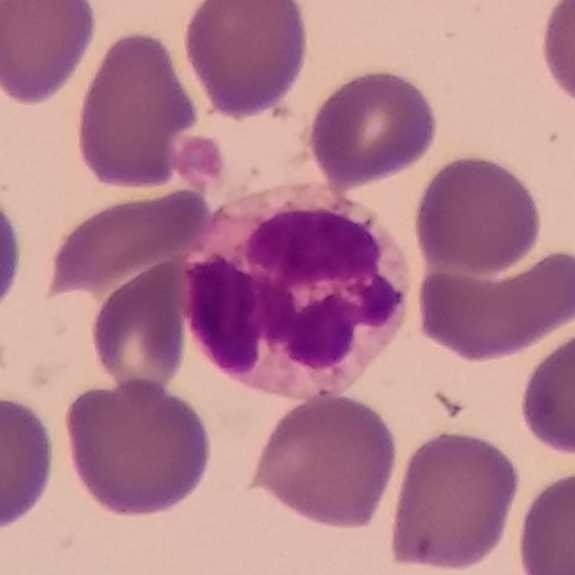

Morphological class = neutrophilic granulocyte.